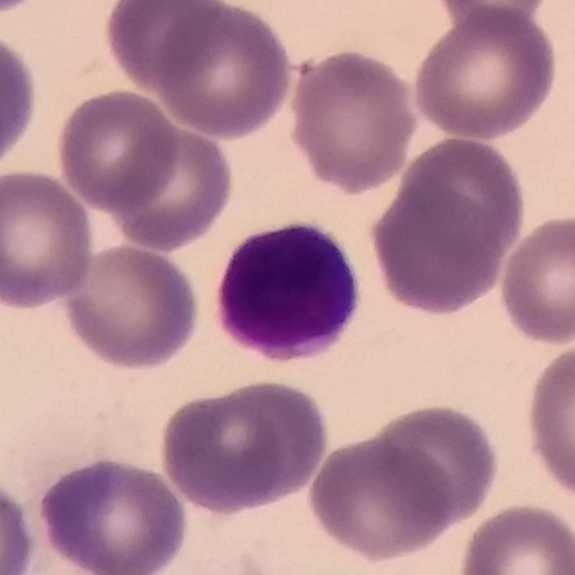 Cell: lymphocyte. Context: Peripheral blood smear.